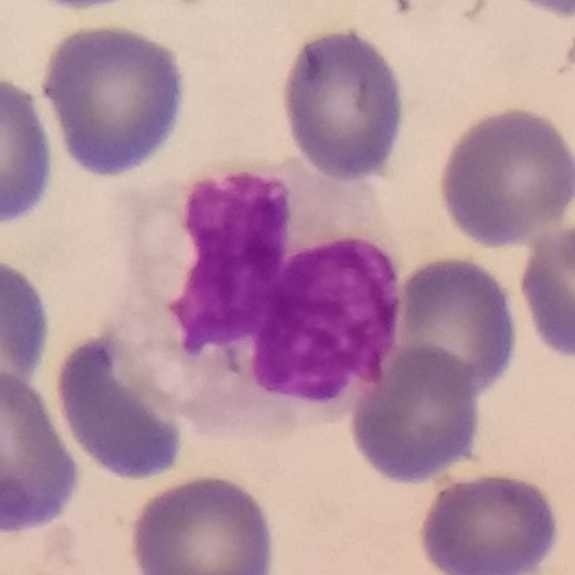

A monocyte.